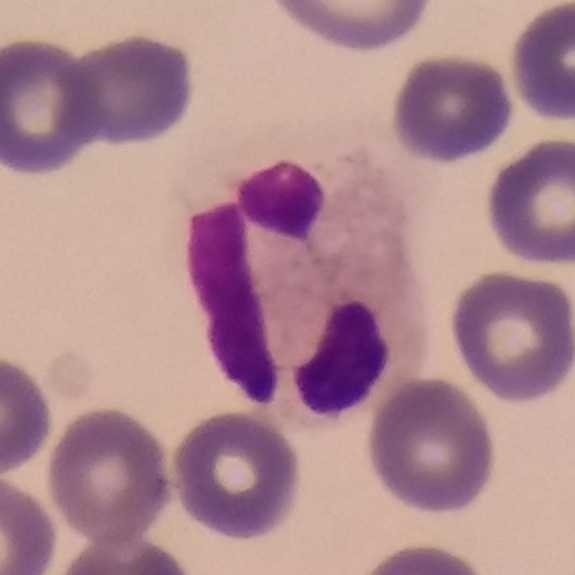

Context: Peripheral blood film. Single-cell crop. Cell — neutrophil.